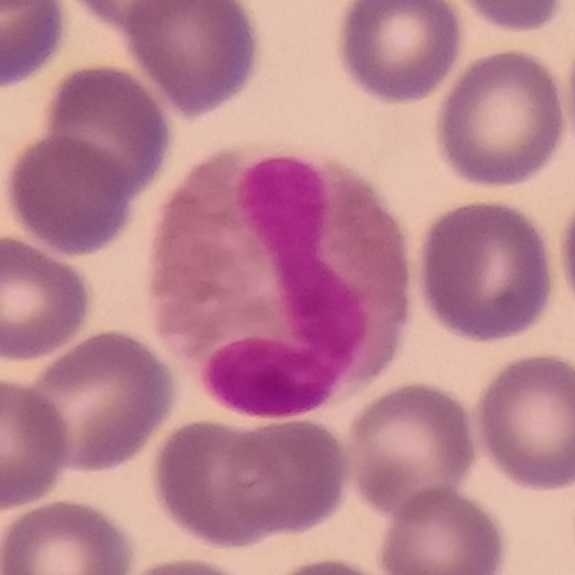 Image: Peripheral blood smear; single-cell field; smartphone photomicrograph.
Q: What type of cell is this?
A: This is an eosinophilic granulocyte.